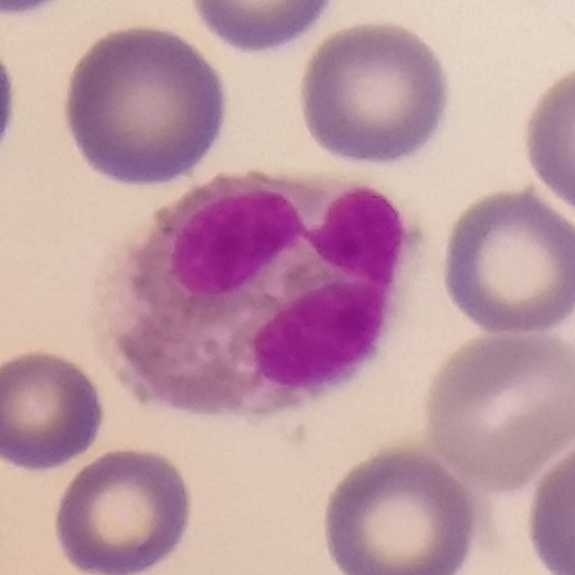

Peripheral blood smear. Q: What is this?
A: It is an eosinophilic granulocyte.